Peripheral blood smear.
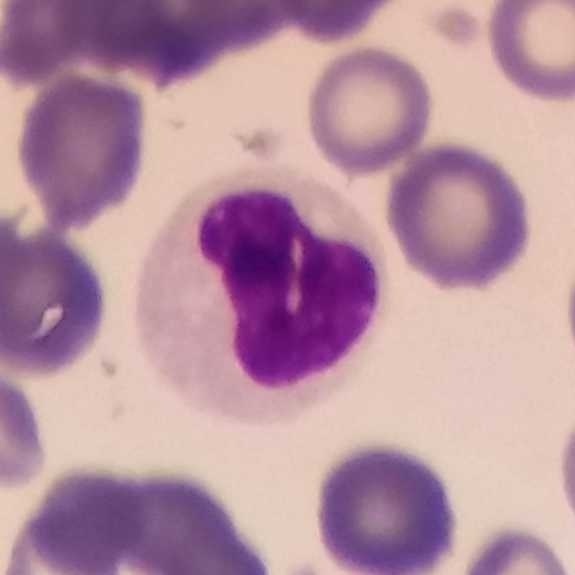 Q: Classify this leukocyte.
A: This is a lymphocyte.